Phone-camera image taken through the microscope ocular · image size 575×575 · peripheral blood smear: 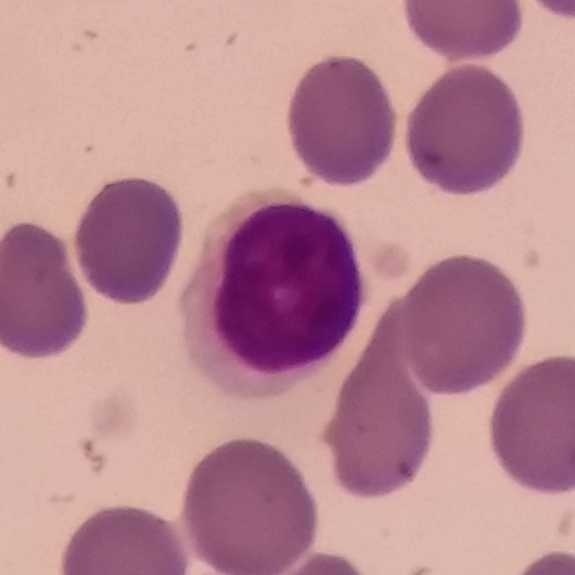 Specimen: peripheral blood smear.
Classification: lymphocyte.
Lineage: lymphoid.